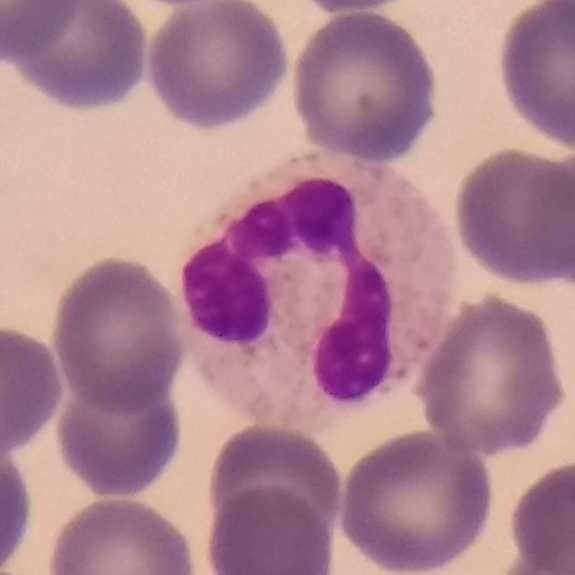

Acquisition: Phone-camera image taken through the microscope ocular. Giemsa-stained. Specimen: peripheral blood film.
Cell type: neutrophilic granulocyte.
Lineage: myeloid.